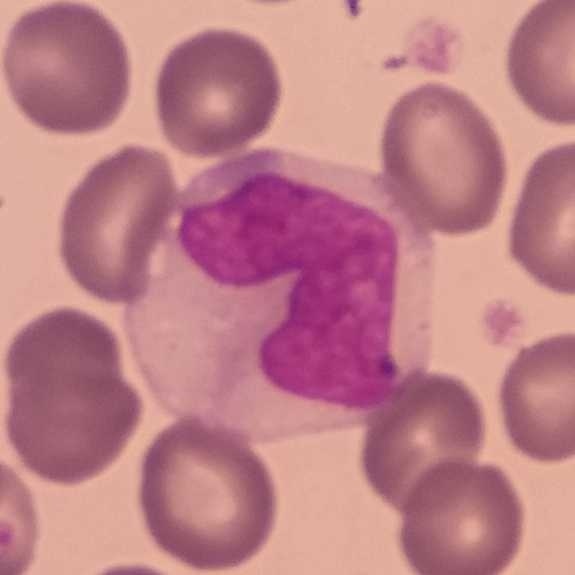

Peripheral blood film. Q: What type of cell is this?
A: This is a monocyte.